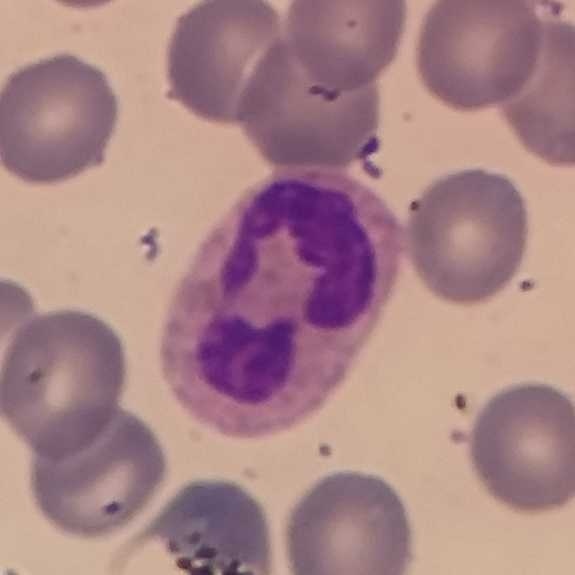 Context: Peripheral blood smear · magnification 100×. Showing a neutrophil.